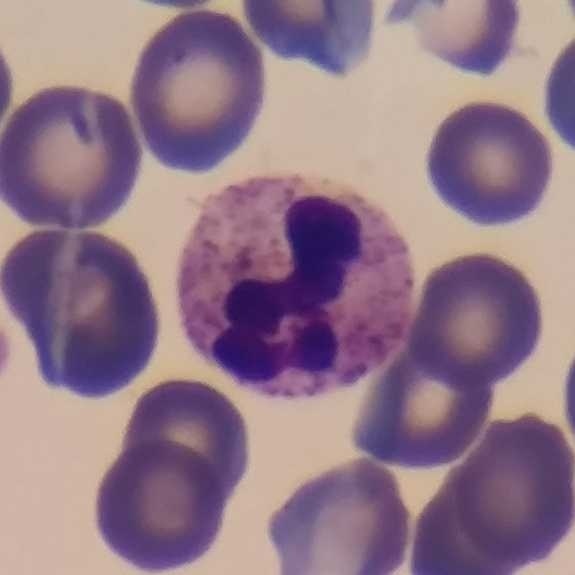Single-cell crop from a peripheral blood smear: neutrophil granulocyte.